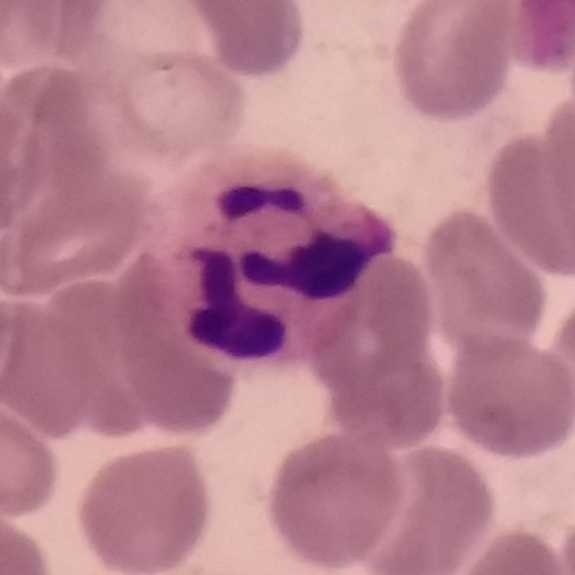 Morphological class: neutrophil granulocyte.

Context: Peripheral blood film.